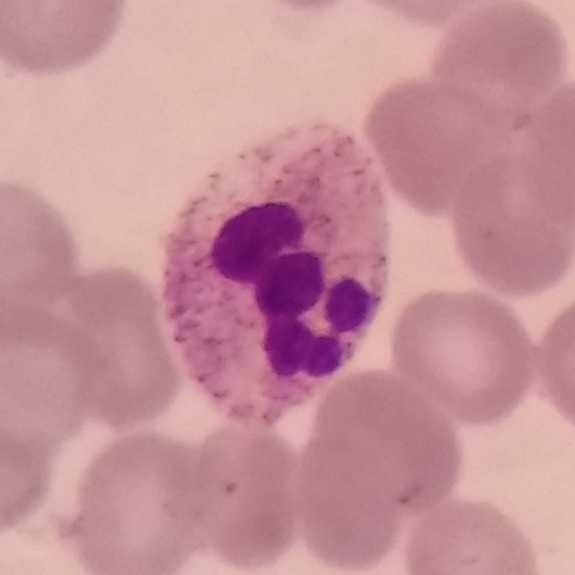Preparation: Cropped to one leukocyte; 100× magnification.
Specimen: peripheral blood smear.
Classification: neutrophilic granulocyte.
Lineage: myeloid.